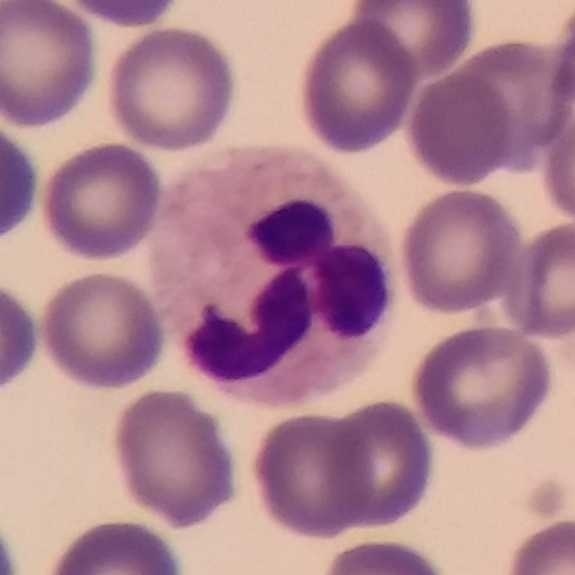 Identified as a neutrophilic granulocyte. Peripheral blood smear.